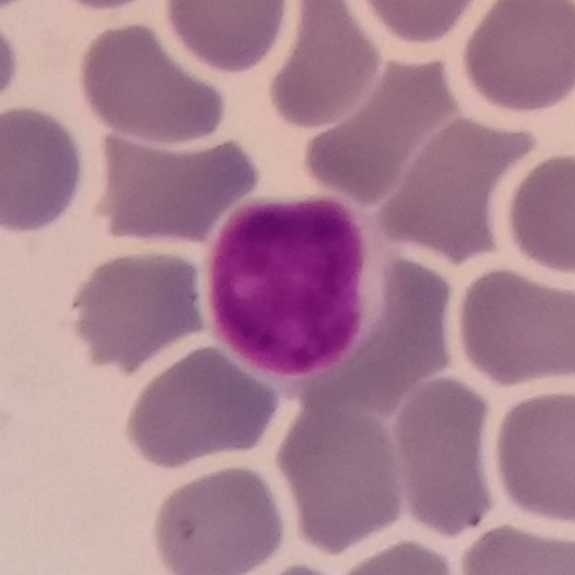Specimen: peripheral blood film.
White blood cell type: lymphocyte.
Lineage: lymphoid.